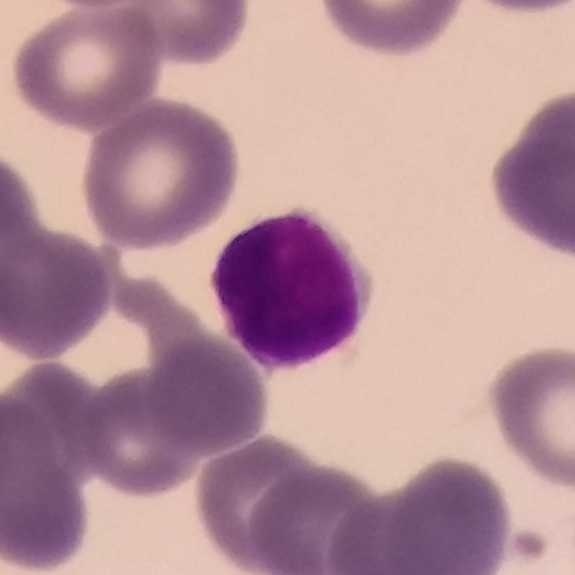 Specimen: peripheral blood smear.
Cell type: lymphocyte.